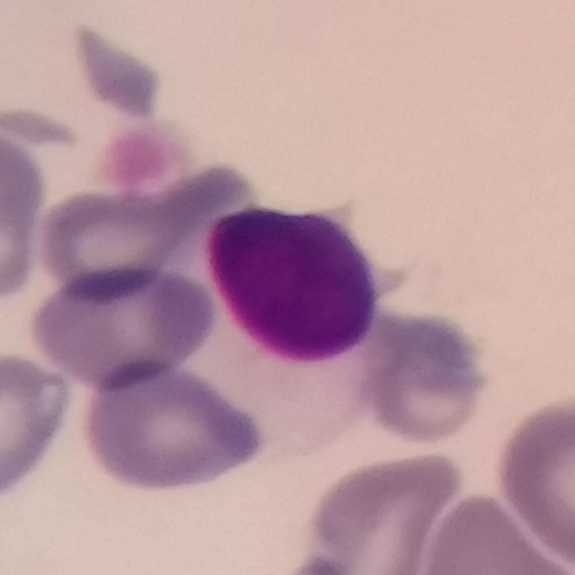
Cell: lymphocyte. Phone-camera image taken through the microscope ocular. Peripheral blood smear.